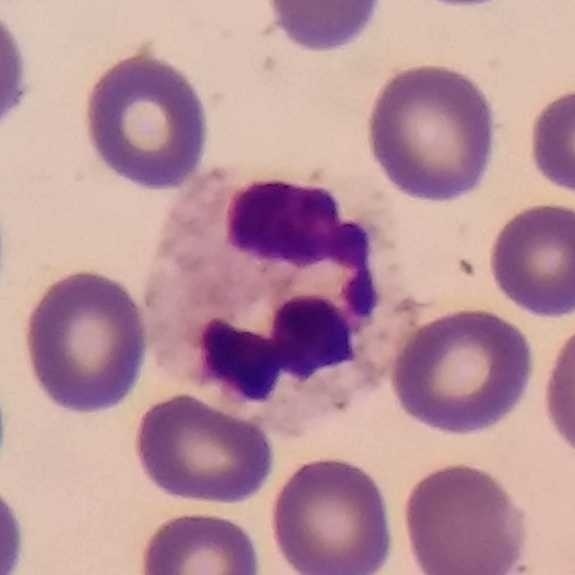

The white blood cell in this image is a neutrophil granulocyte.
Context: Peripheral blood film.